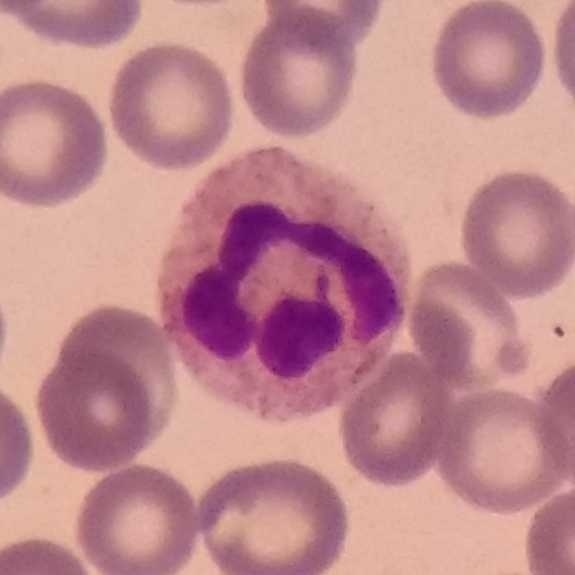The morphological class is neutrophil. Acquisition: Peripheral blood film; single white blood cell cropped from the smear photograph.